Peripheral blood smear:
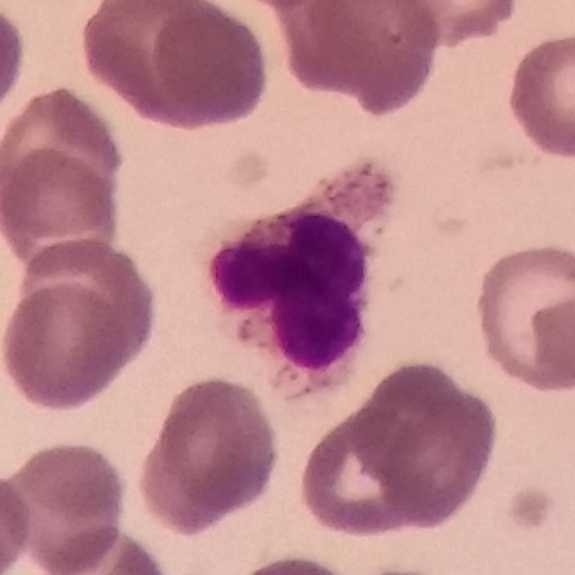 Morphological class = neutrophilic granulocyte.